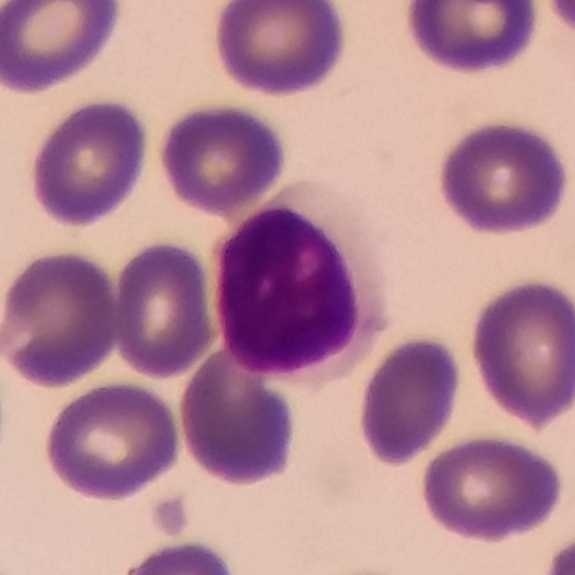

Identified as a lymphocyte.